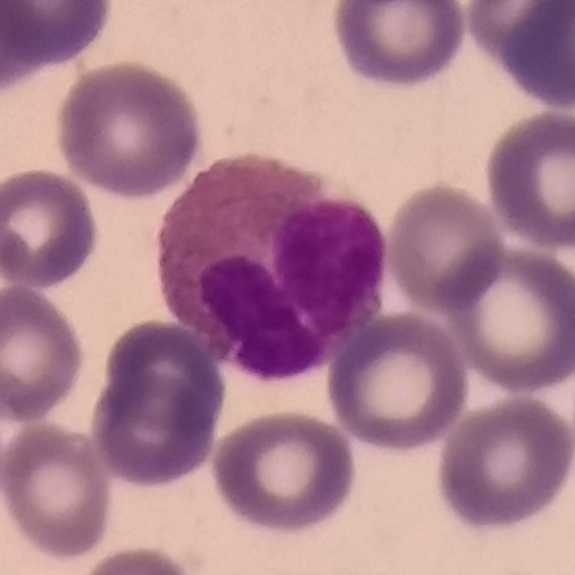 Context: 575×575 px · peripheral blood smear. An eosinophil.